Peripheral blood film — 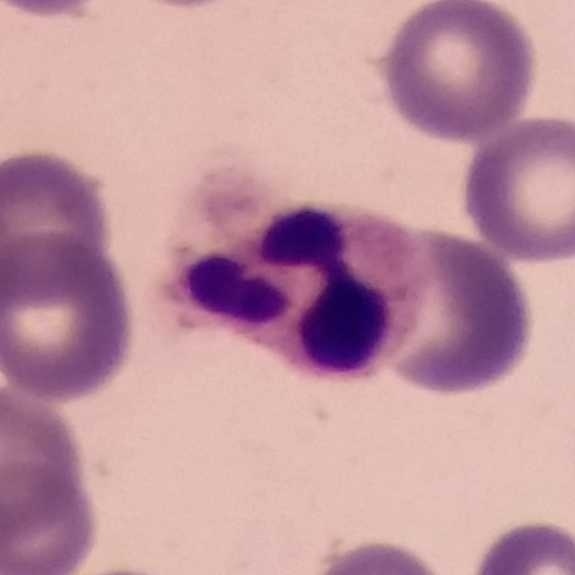Impression — neutrophil.